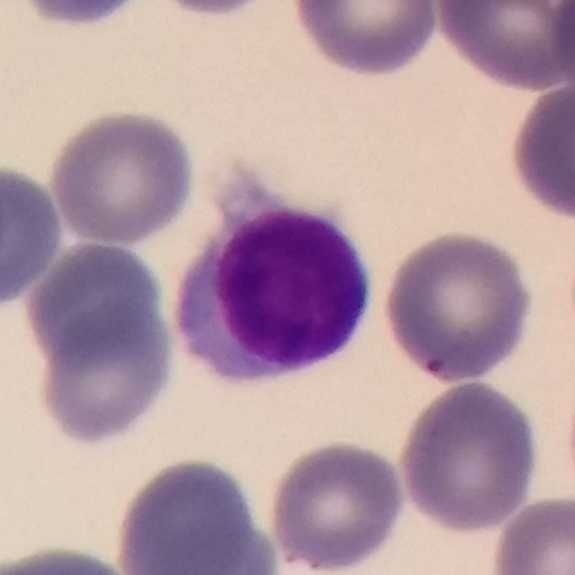

Q: Identify the cell.
A: This is a lymphocyte.
Single white blood cell cropped from the smear photograph · stained with Giemsa · peripheral blood smear.